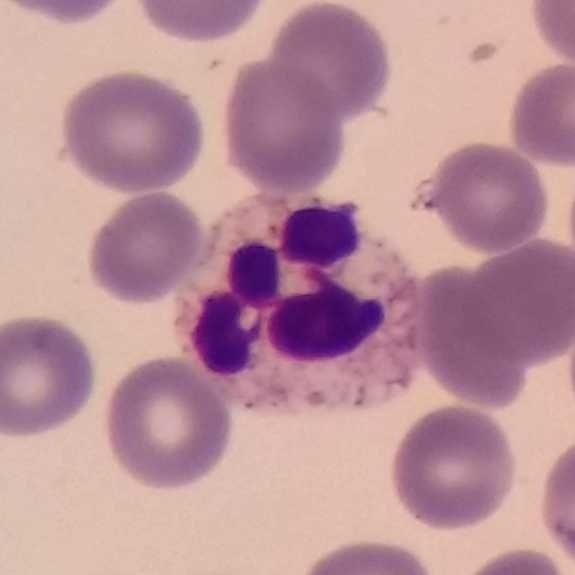 Classification = neutrophil granulocyte.